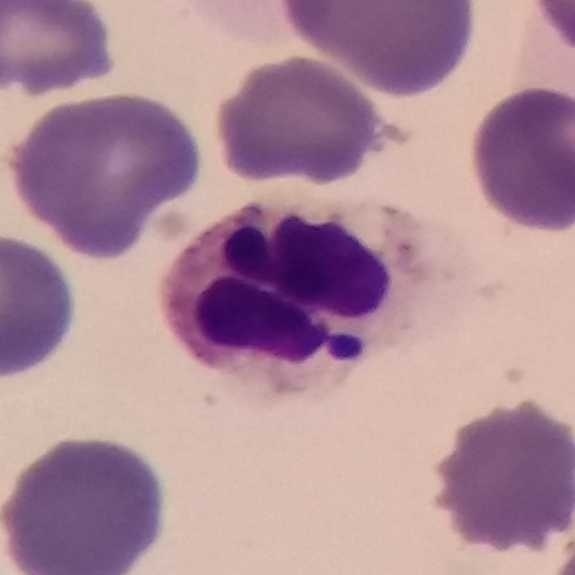

Specimen: peripheral blood film.
White blood cell type: neutrophilic granulocyte.
Lineage: myeloid. Context: Phone-camera image taken through the microscope ocular.